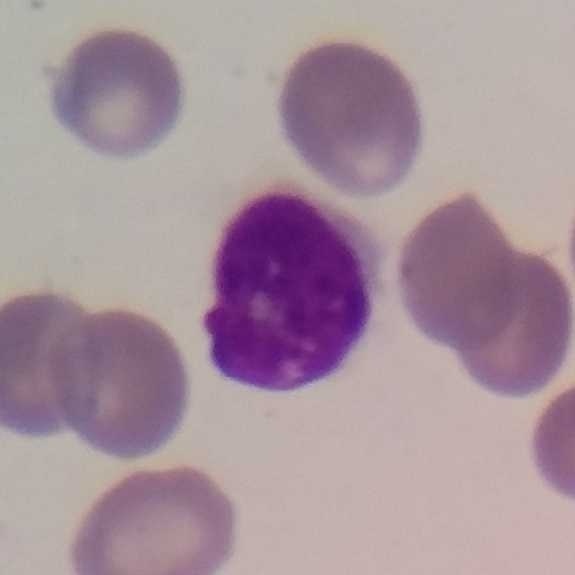

Cell type: lymphocyte.